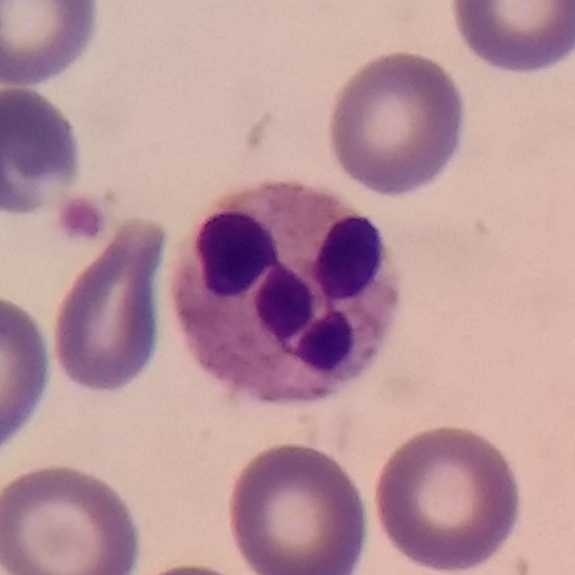

Cell: neutrophil.